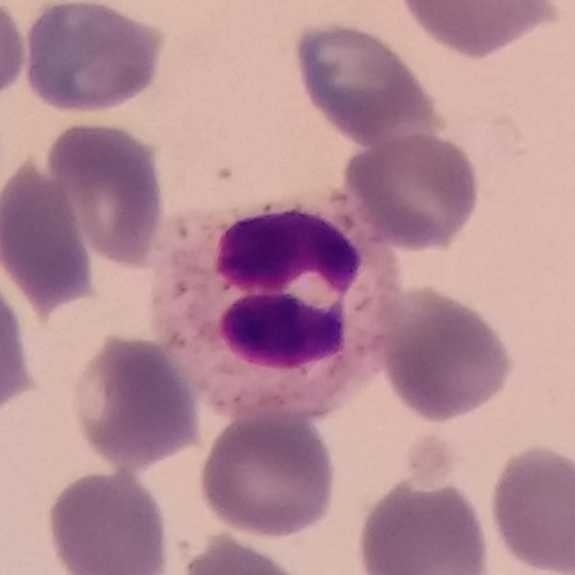

575×575; peripheral blood smear; single-cell crop. Morphology → neutrophilic granulocyte.